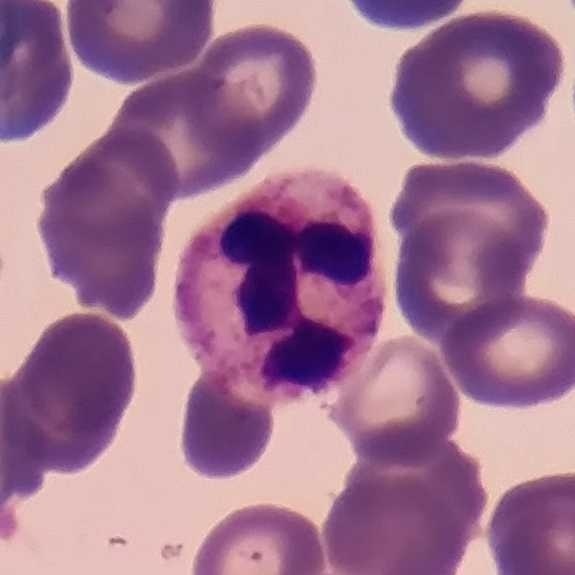
Cell — neutrophil granulocyte.